Peripheral blood smear: 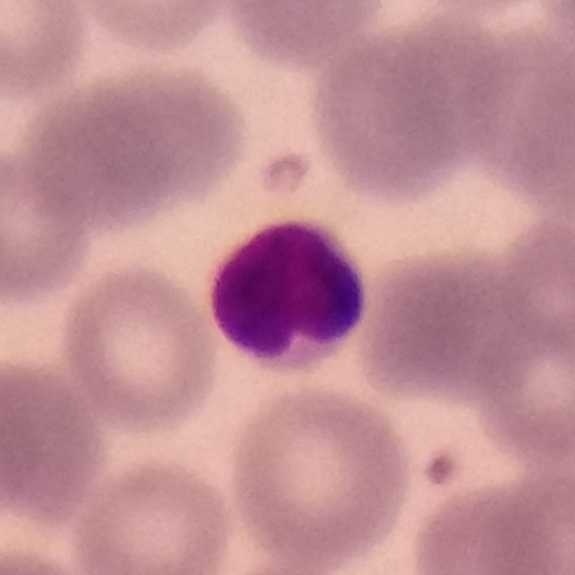Showing a lymphocyte.